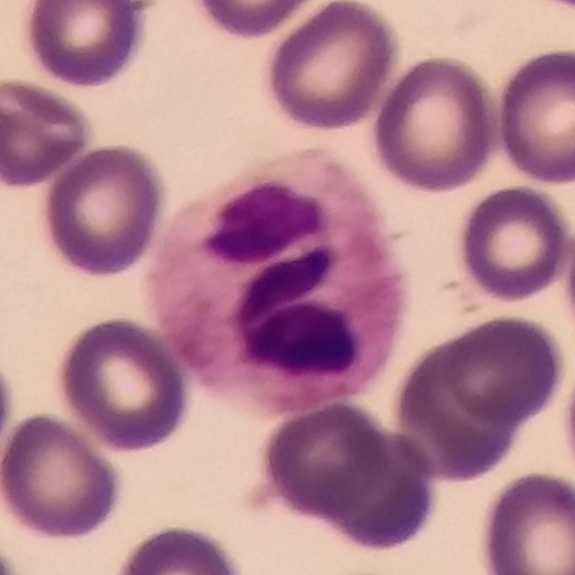
A neutrophil.